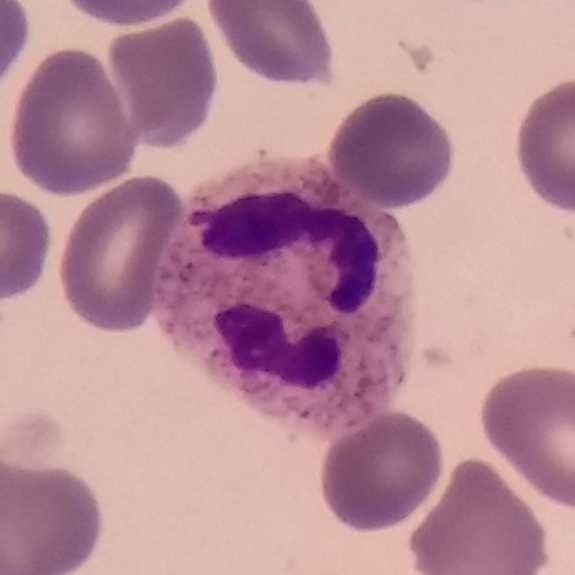

A neutrophil.

Acquisition: Peripheral blood film.